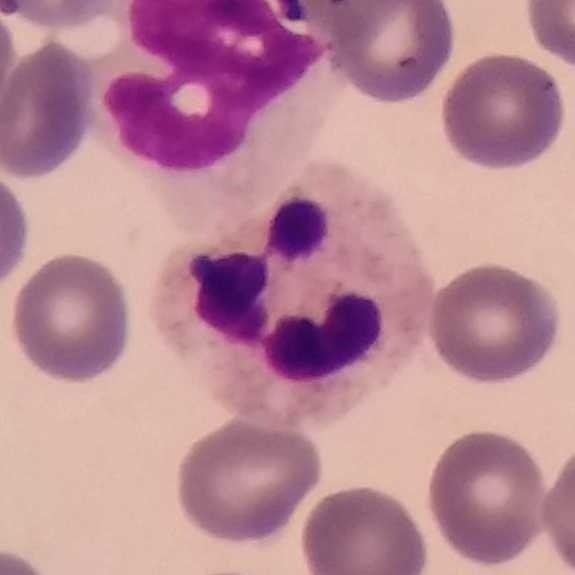 Cell = neutrophil granulocyte. Acquisition: Peripheral blood smear; 100× magnification.